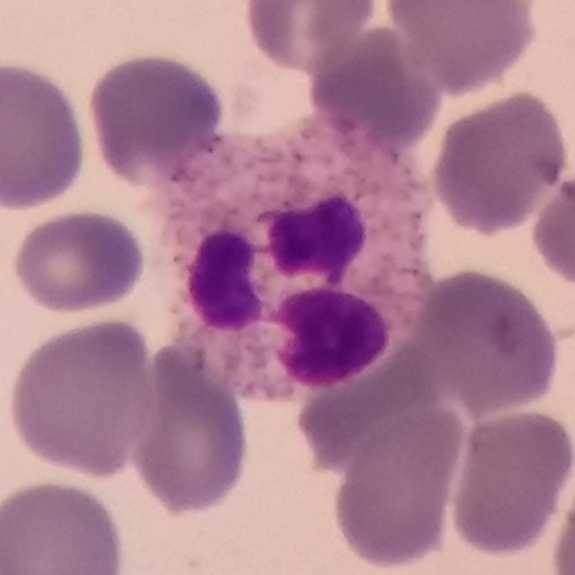Specimen: peripheral blood film.
Morphological class: neutrophilic granulocyte.
Lineage: myeloid.